Peripheral blood smear; image size 575×575; single white blood cell cropped from the smear photograph.
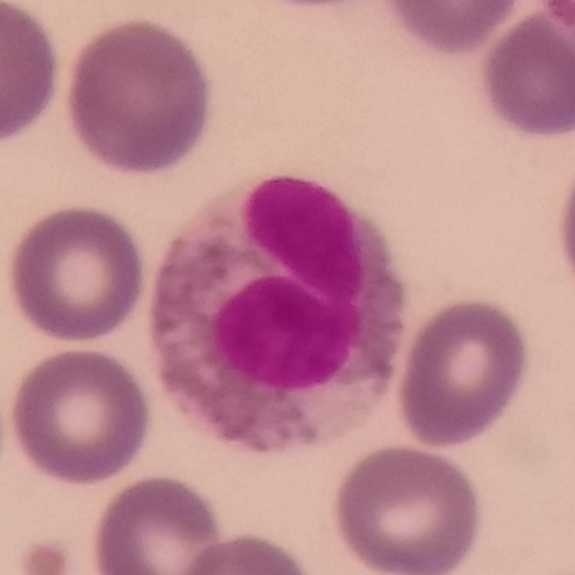

White blood cell type — eosinophil.